575×575. Peripheral blood film
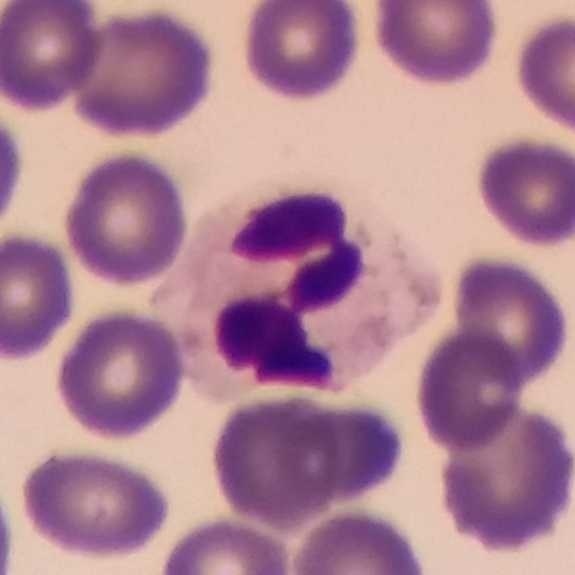A neutrophil.